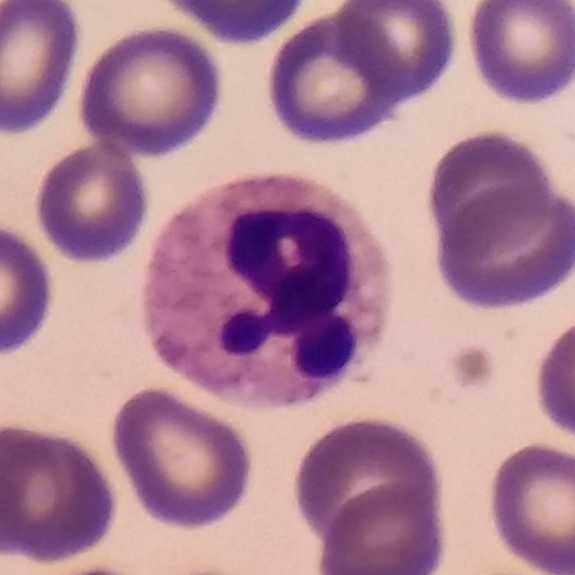
Q: What is this?
A: It is a neutrophilic granulocyte.